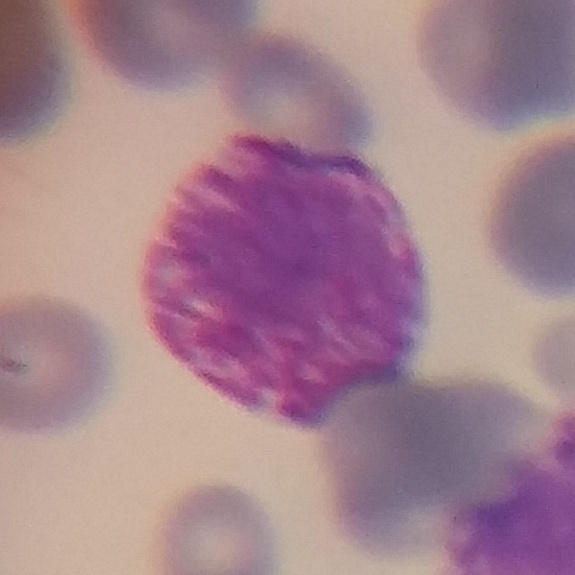 The cell shown is a basophilic granulocyte.

Acquisition: Peripheral blood smear. Stained with Giemsa.